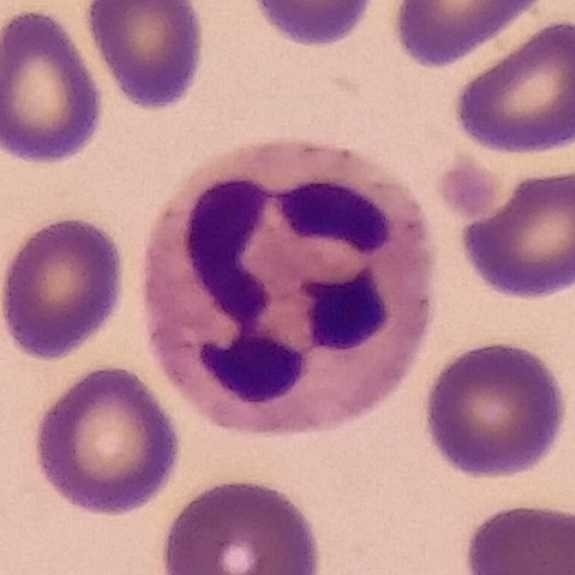 Morphology consistent with a neutrophilic granulocyte.
Acquisition: Peripheral blood film.